Peripheral blood smear — 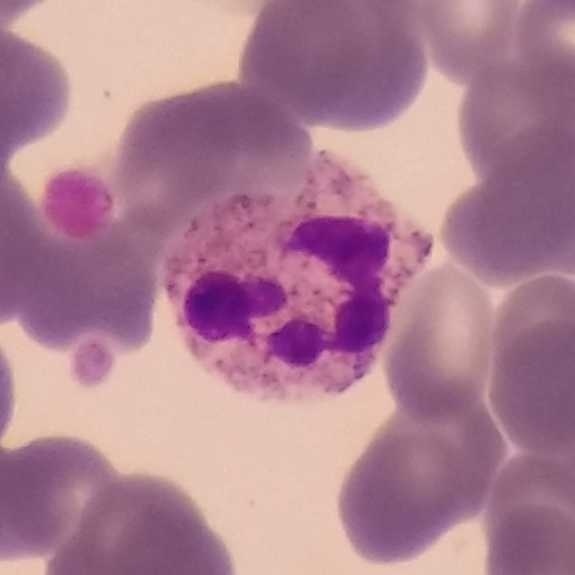Cell — neutrophil granulocyte.